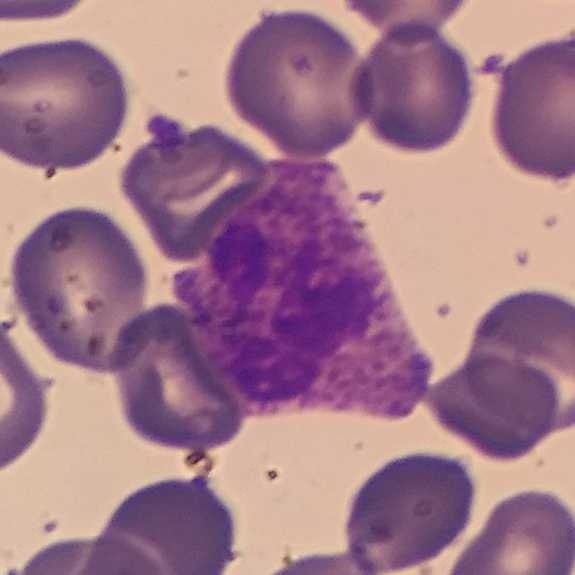
From a peripheral blood smear: a neutrophil.